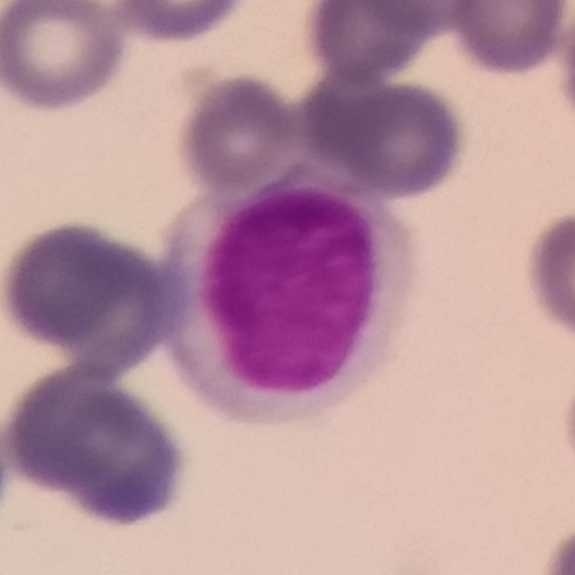

Magnification 100×. Smartphone photomicrograph.

Specimen: peripheral blood film.
Morphological class: lymphocyte.
Lineage: lymphoid.